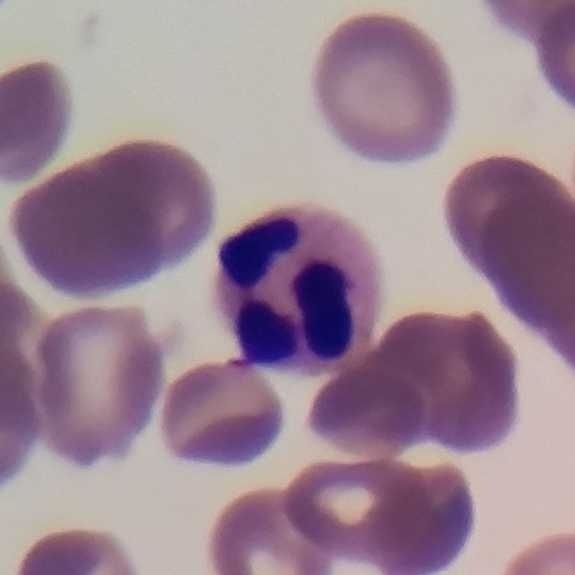

{"cell_type": "neutrophilic granulocyte", "lineage": "myeloid"}
Context: Giemsa stain. Peripheral blood film.